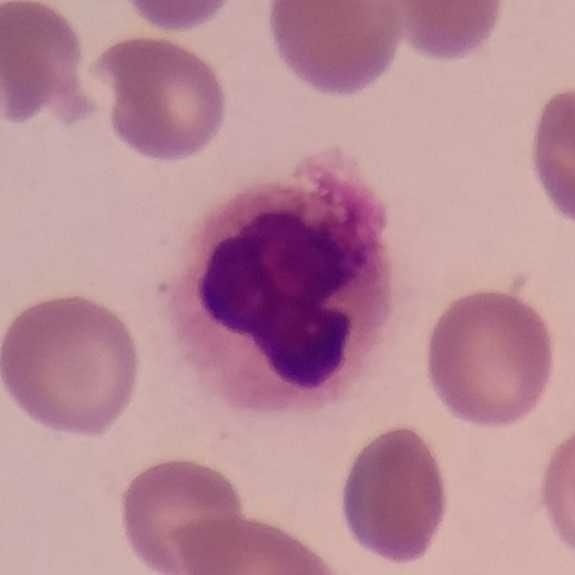575×575 px. Specimen: peripheral blood smear.
White blood cell type: neutrophil.
Lineage: myeloid.